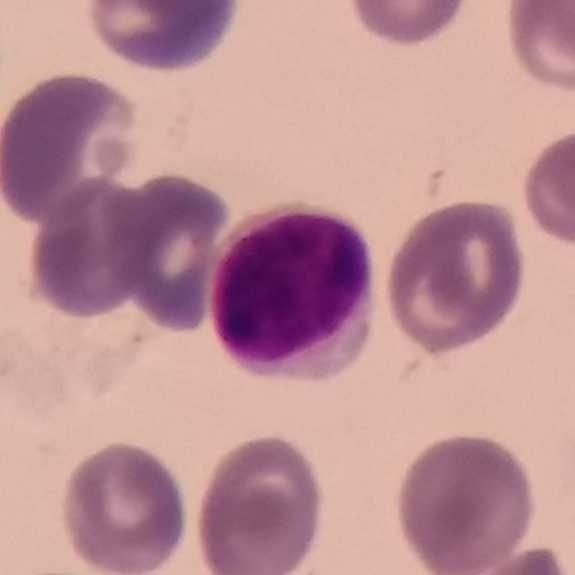Preparation: 575×575 · peripheral blood film.
Q: What is the morphological classification of this cell?
A: It is a lymphocyte.